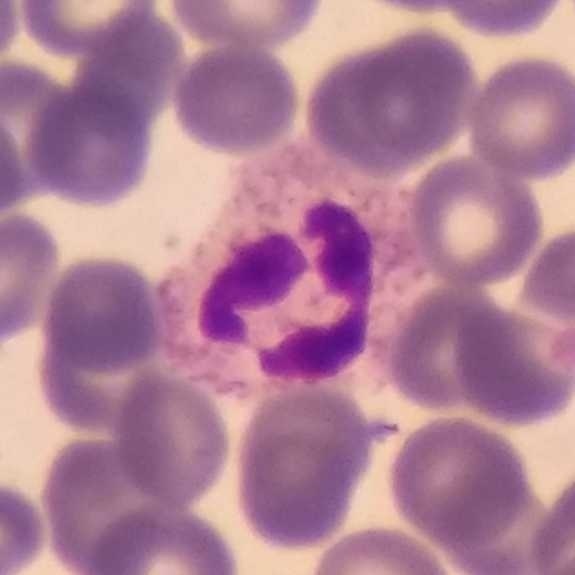
Cropped to one leukocyte.

Specimen: peripheral blood film.
Cell type: neutrophil.
Lineage: myeloid.